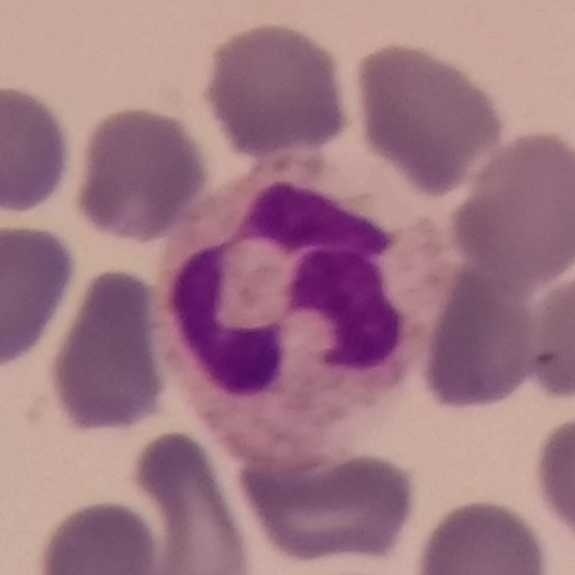

Preparation: Single-cell crop; 575 by 575 pixels; peripheral blood film.
Classification = neutrophil granulocyte.